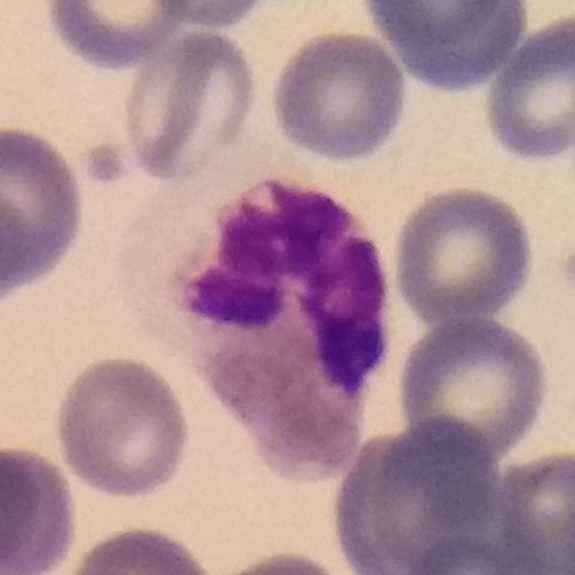A neutrophilic granulocyte.
Peripheral blood film.